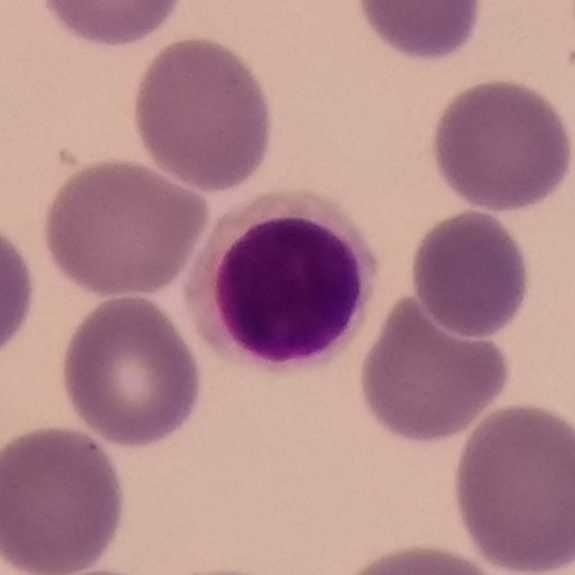Q: Classify this leukocyte.
A: This is a lymphocyte. Context: Peripheral blood smear.